Image size 575×575 · peripheral blood smear — 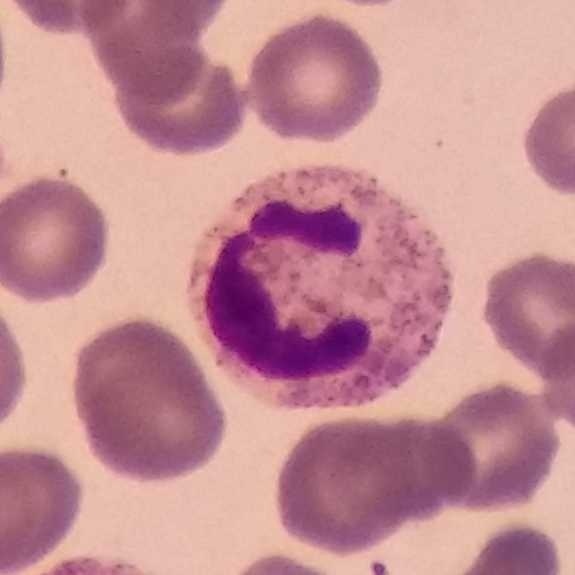 The cell shown is a neutrophil granulocyte.